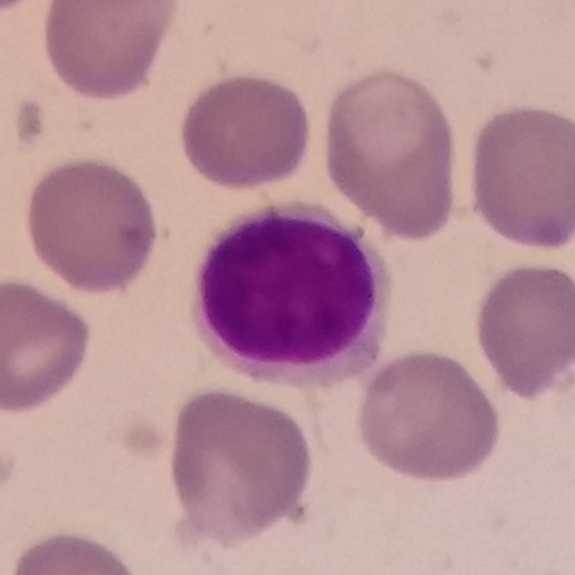 575×575 px · smartphone photomicrograph. Specimen: peripheral blood film.
Classification: lymphocyte.
Lineage: lymphoid.